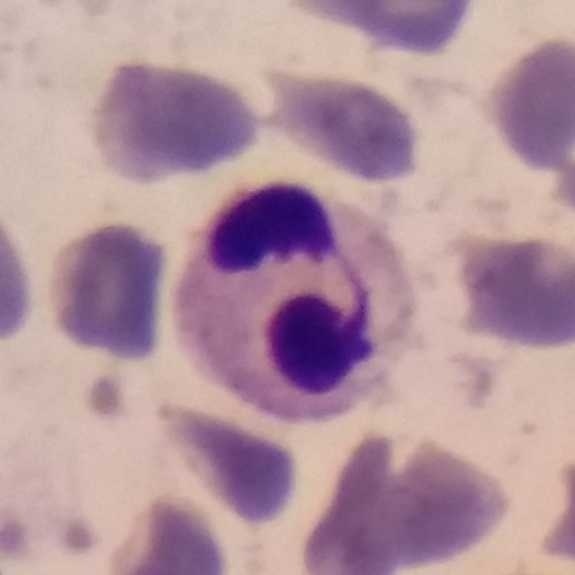

This is a neutrophil. Context: Cropped to one leukocyte · peripheral blood smear.